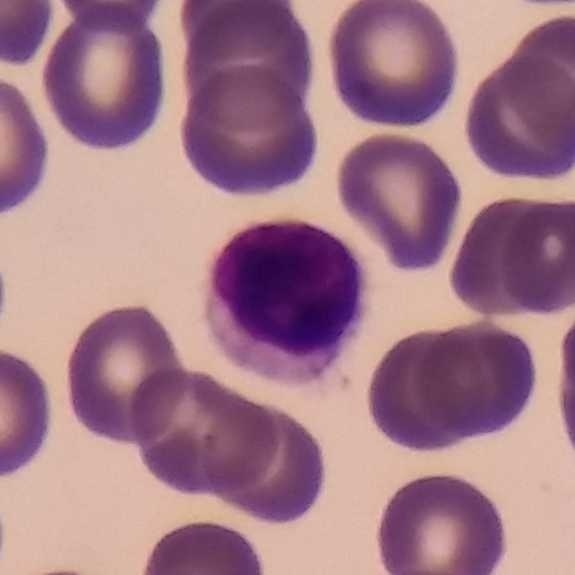 Q: What cell is this?
A: Lymphocyte.

Image: Peripheral blood smear.